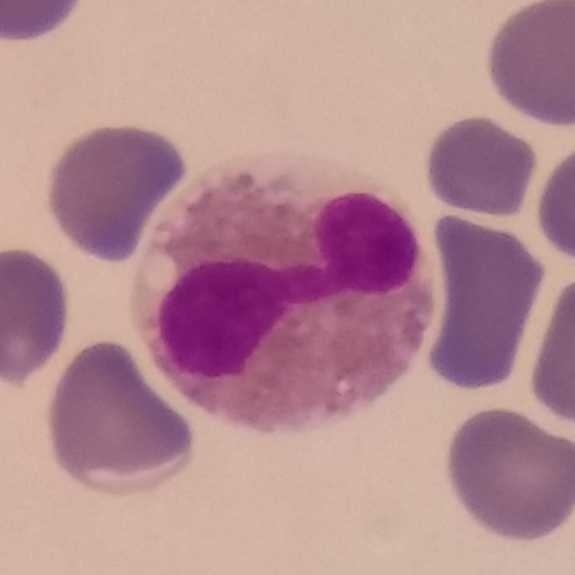 Specimen: peripheral blood film.
Classification: eosinophilic granulocyte. 100× magnification.